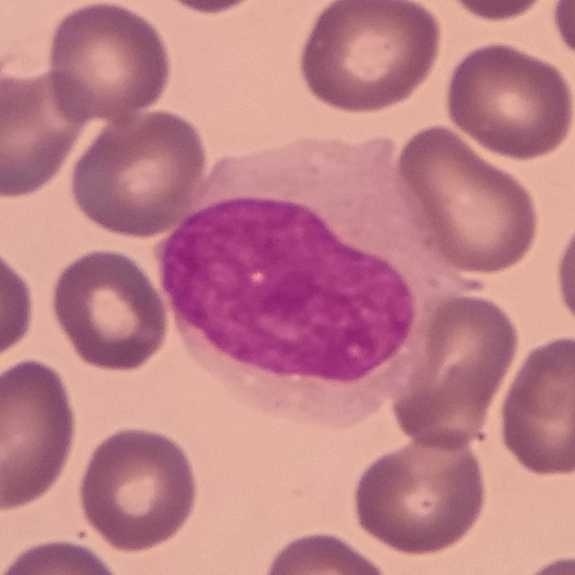Acquisition: Image size 575×575; Giemsa stain; peripheral blood smear.

{"cell_type": "monocyte", "lineage": "myeloid"}